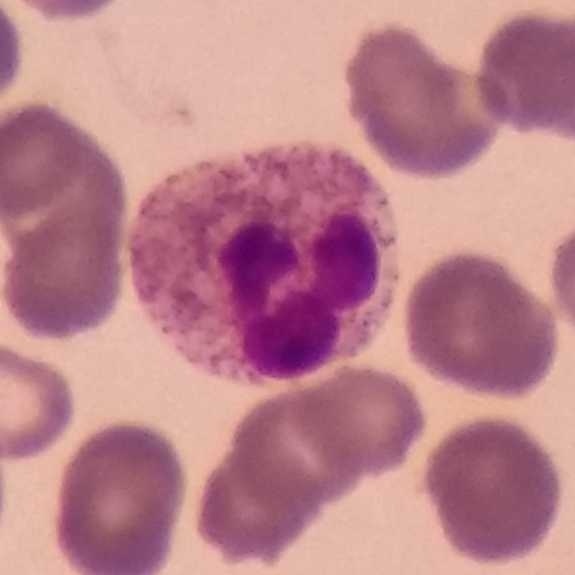

Identified as a neutrophil granulocyte.